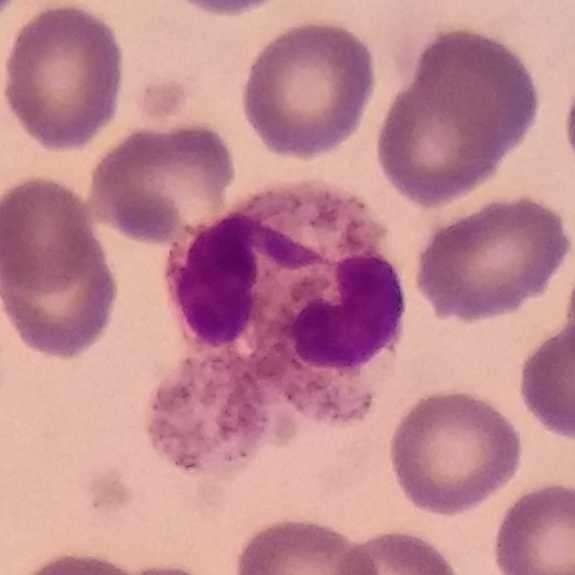 The cell shown is a neutrophil granulocyte.